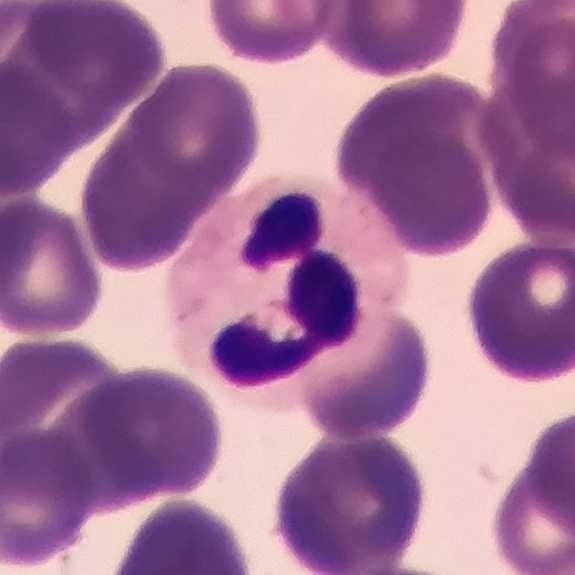
Impression — neutrophilic granulocyte.

Preparation: Imaged at 100× · peripheral blood film.